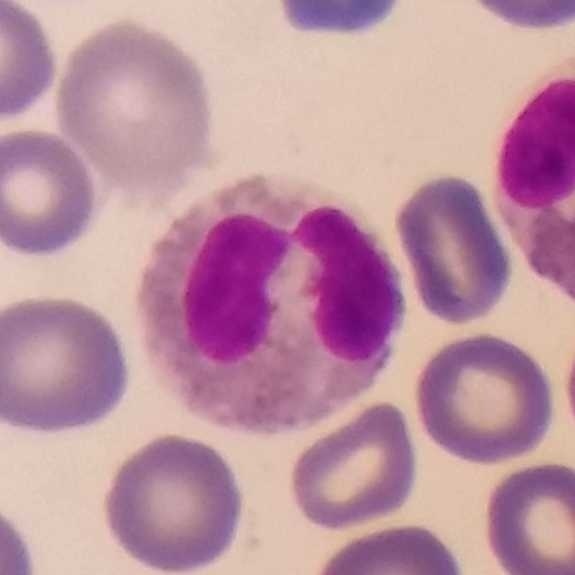
Classification = eosinophil.

Giemsa stain; 575 by 575 pixels; peripheral blood smear.